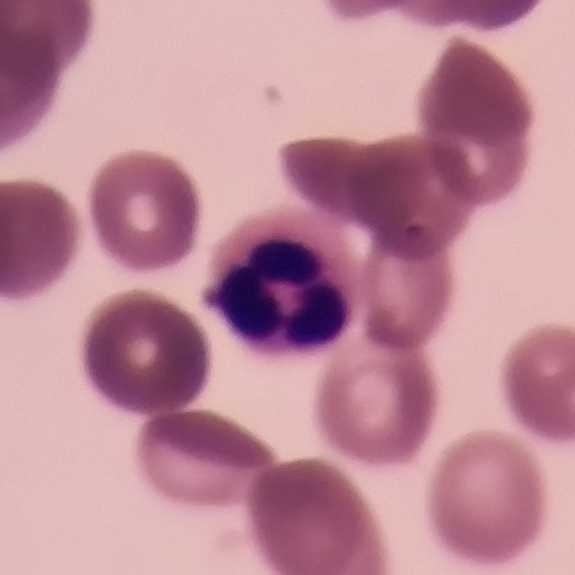

Image: Stained with Giemsa; image size 575×575.
Specimen: peripheral blood smear.
Cell: neutrophil.